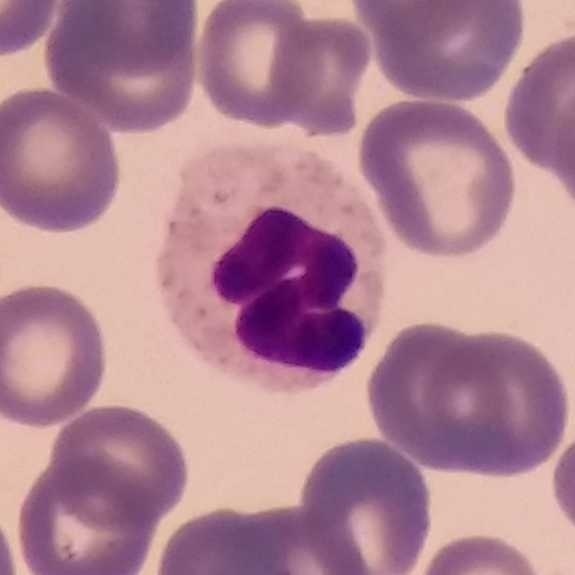Q: Which cell type is shown here?
A: It is a neutrophil.
Context: Peripheral blood smear.